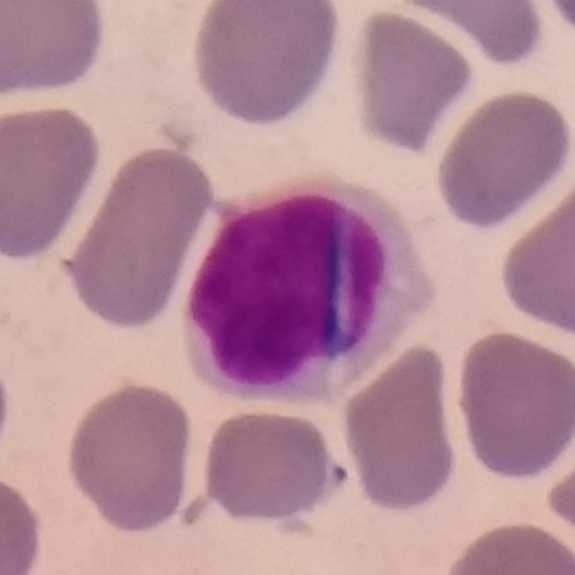

Specimen: peripheral blood smear.
Cell type: lymphocyte.
Lineage: lymphoid.